Peripheral blood film; 575×575 px: 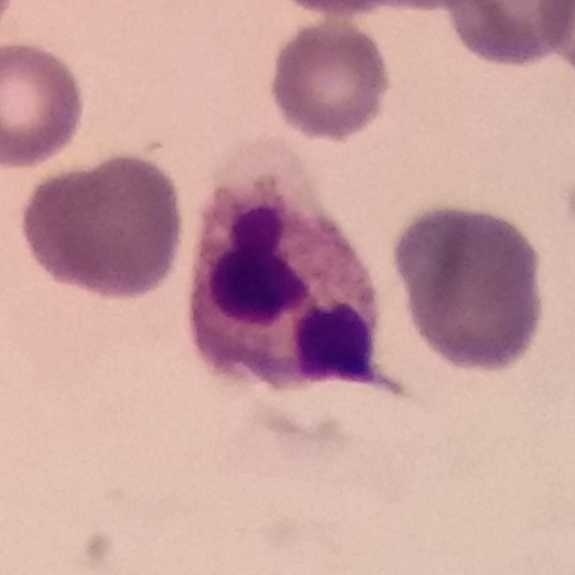

Impression → neutrophil granulocyte.